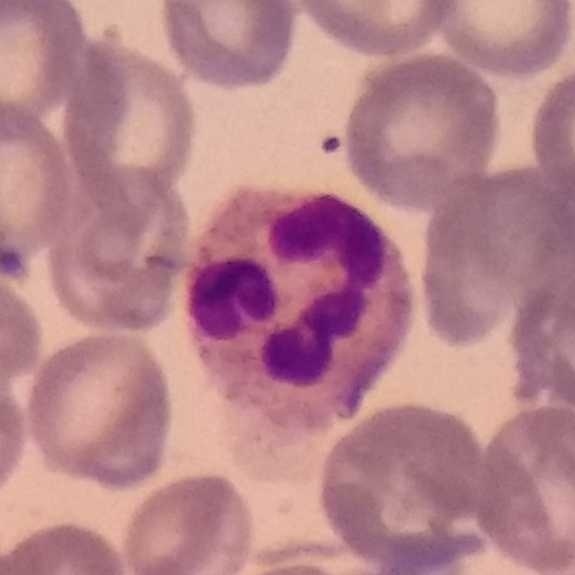Image: Peripheral blood film.

Morphological class = neutrophilic granulocyte.